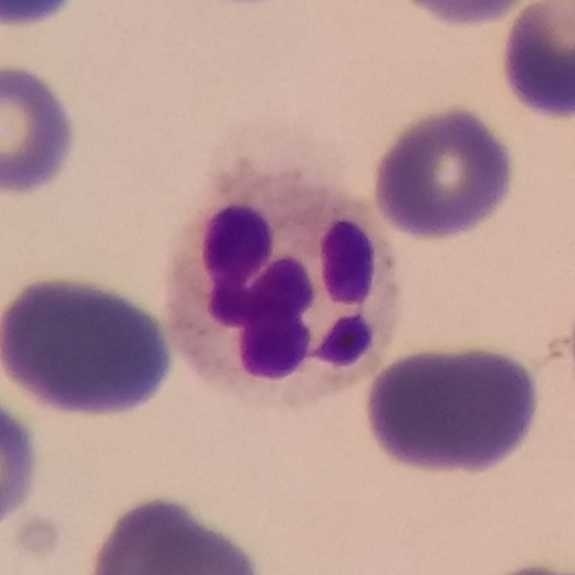

Specimen: peripheral blood film.
Cell type: neutrophilic granulocyte.
Lineage: myeloid.